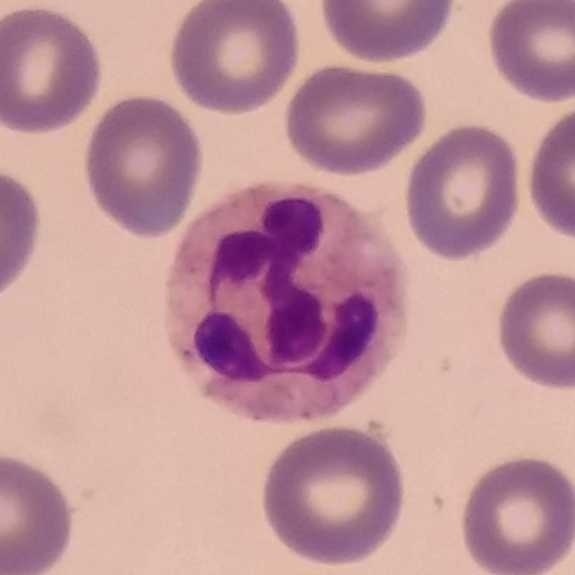 Single-cell crop; peripheral blood film; 575×575. Classification = neutrophil granulocyte.